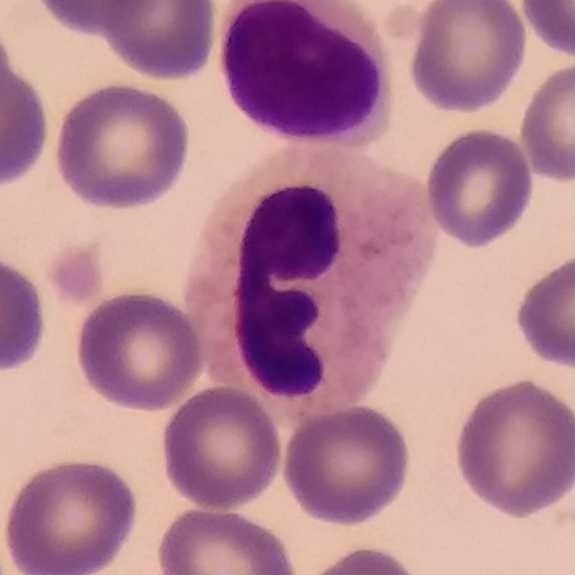
Single cell identified as a neutrophil granulocyte.